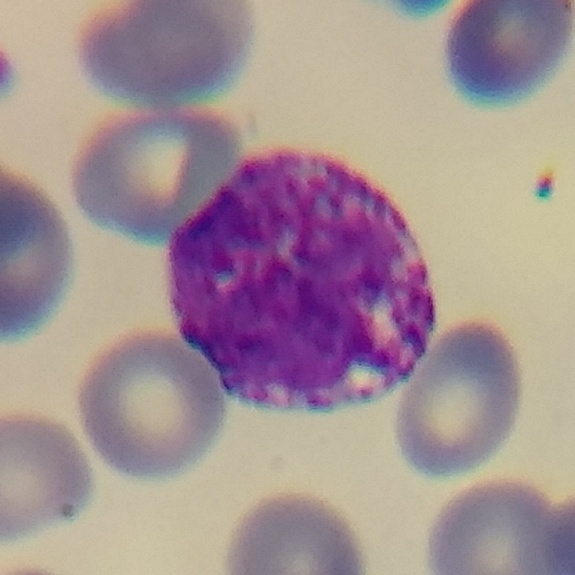

Context: Peripheral blood film; 100× magnification. Identified as a basophilic granulocyte.